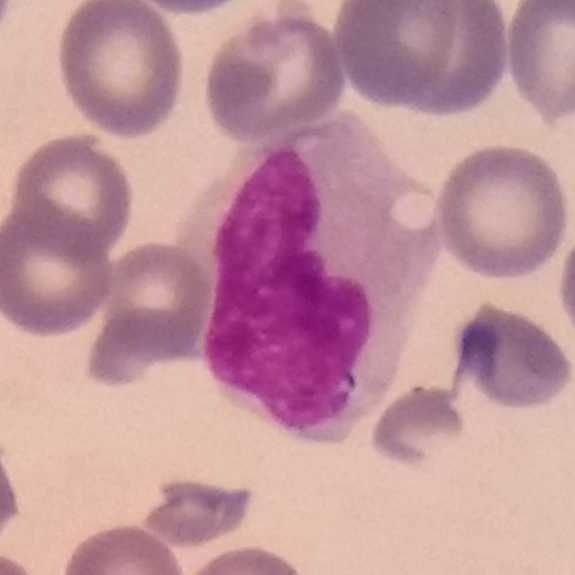

A monocyte.